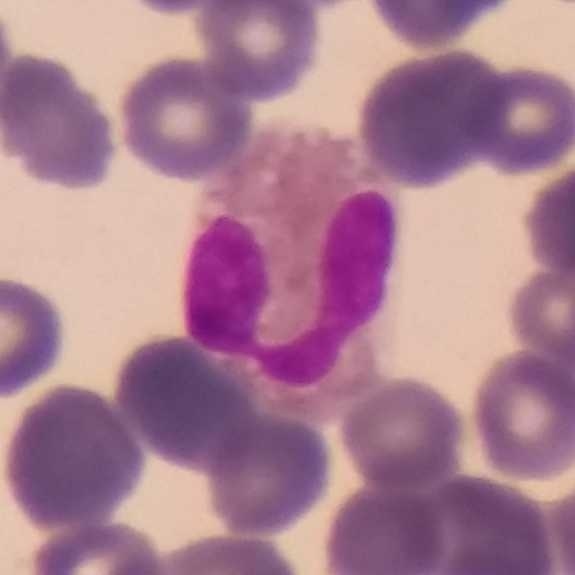Peripheral blood film; magnification 100×. Eosinophil.